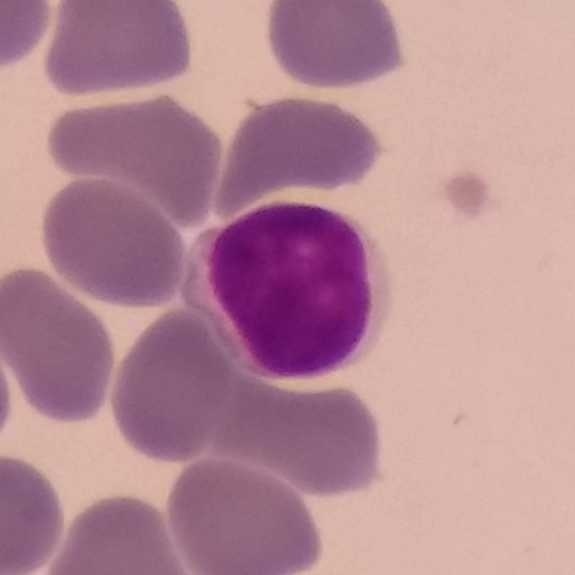Peripheral blood film. Impression → lymphocyte.